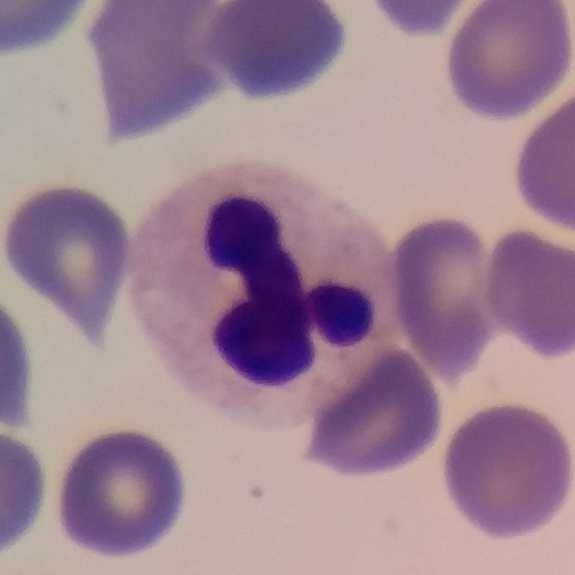 The white blood cell in this image is a neutrophilic granulocyte. Preparation: Peripheral blood film. Smartphone photomicrograph.